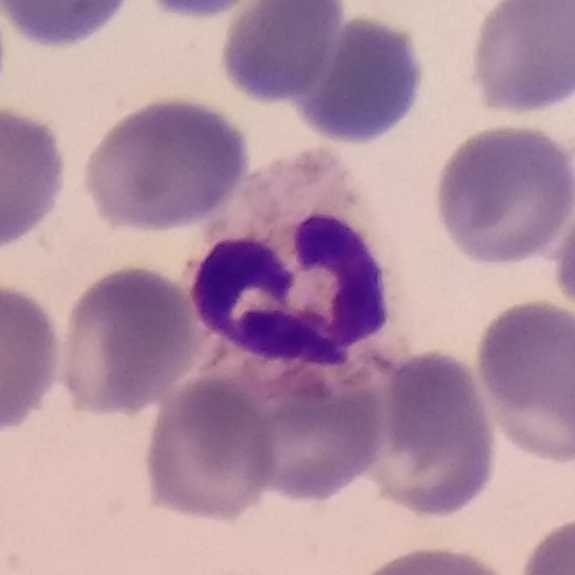Specimen: peripheral blood film.
Classification: neutrophil.
Lineage: myeloid.